Peripheral blood smear. Image size 575×575
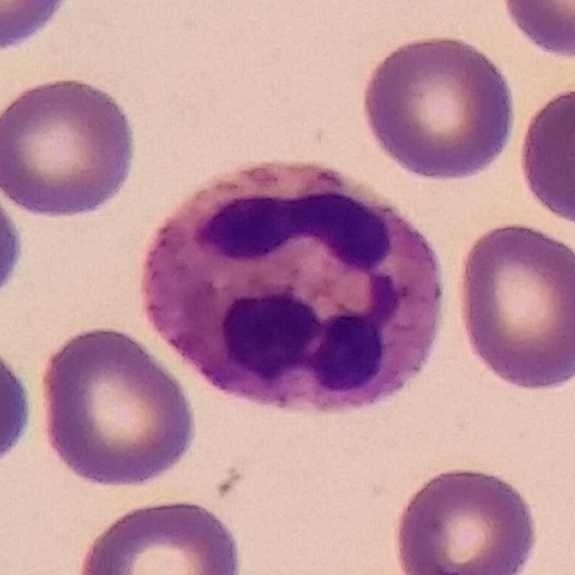

Morphological class — neutrophil.